Peripheral blood film · stained with Giemsa: 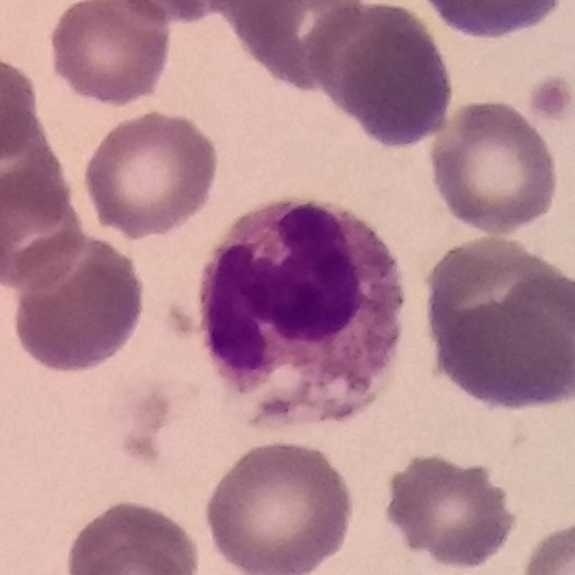 White blood cell type — neutrophilic granulocyte.